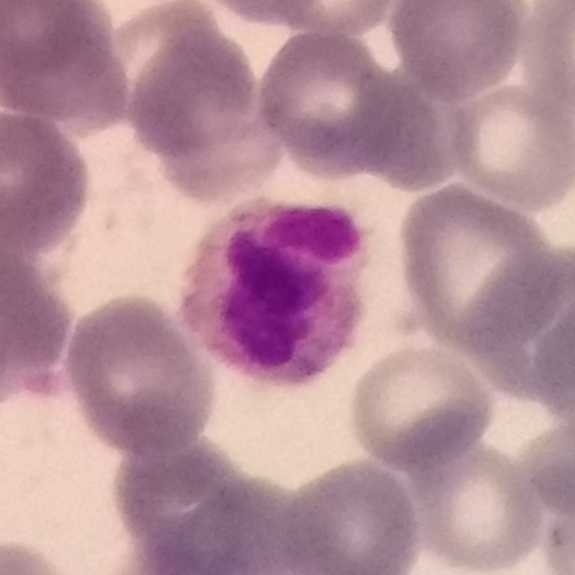 Q: What cell is this?
A: A neutrophilic granulocyte.